Single white blood cell cropped from the smear photograph. Peripheral blood smear: 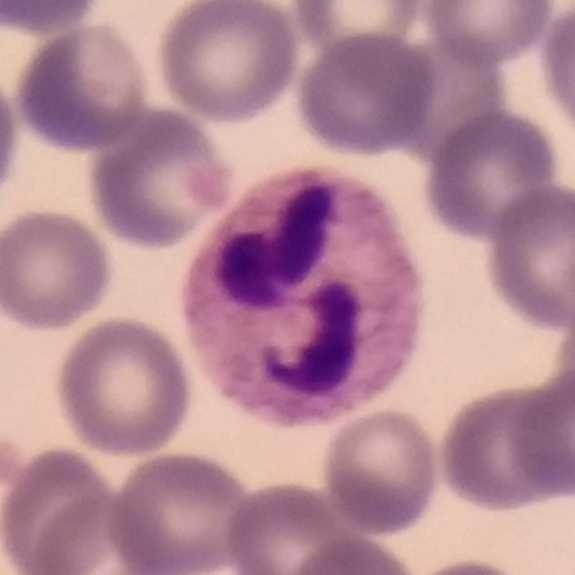Cell: neutrophil granulocyte.